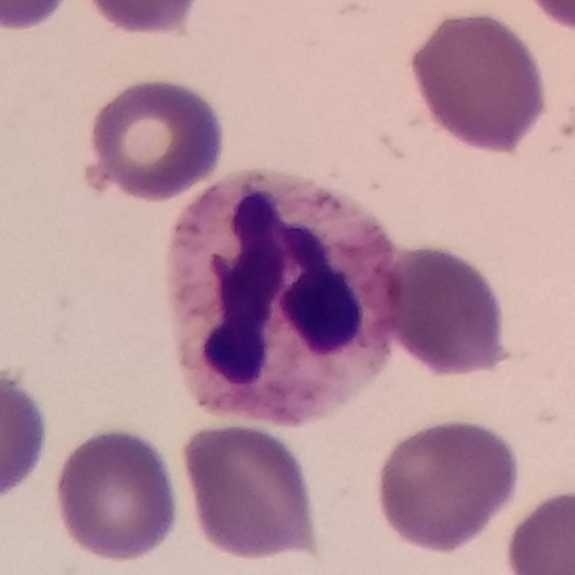
White blood cell type = neutrophil. Peripheral blood film. 575×575.